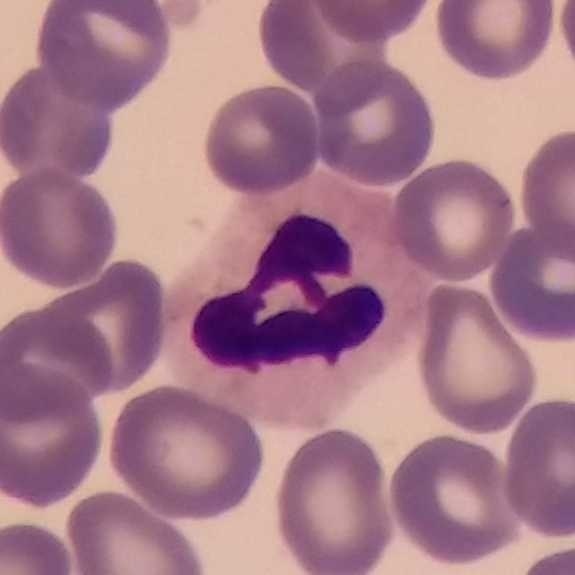 Impression — neutrophil.

Peripheral blood film; cropped to one leukocyte.